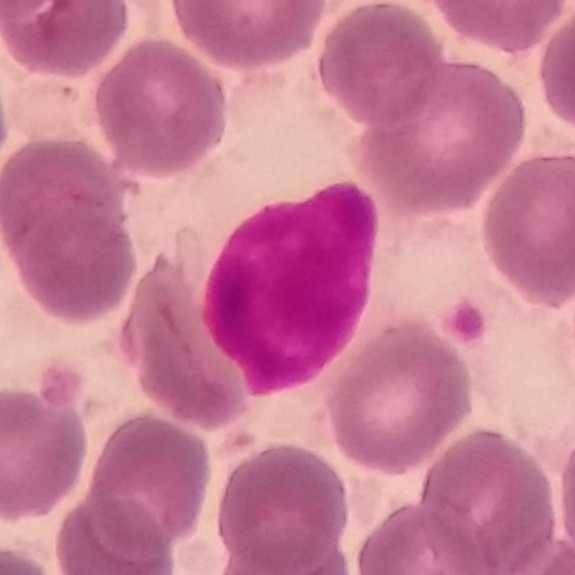Image: Single-cell field; peripheral blood smear. The white blood cell in this image is a monocyte.